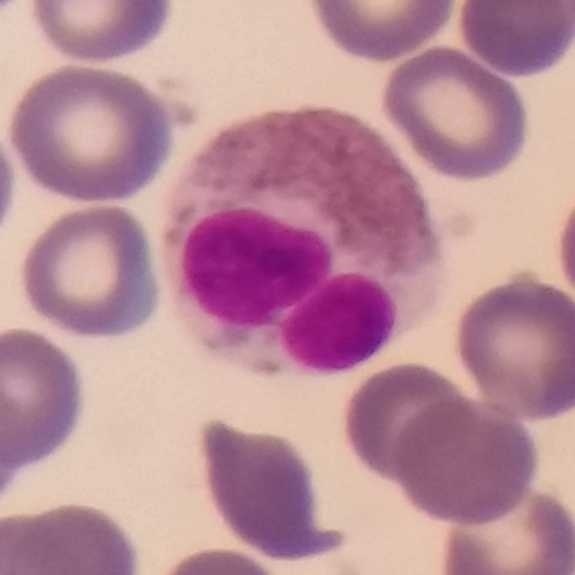

Impression — eosinophilic granulocyte.
Context: Peripheral blood film · image size 575×575 · single-cell field.